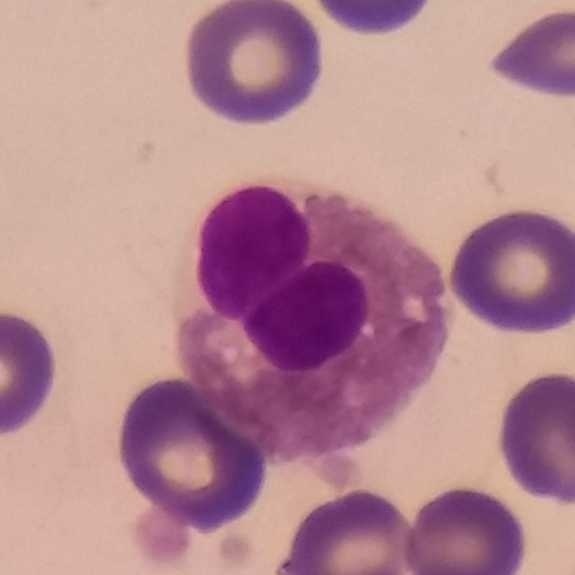

Cell type: eosinophilic granulocyte.
100× magnification; peripheral blood smear.